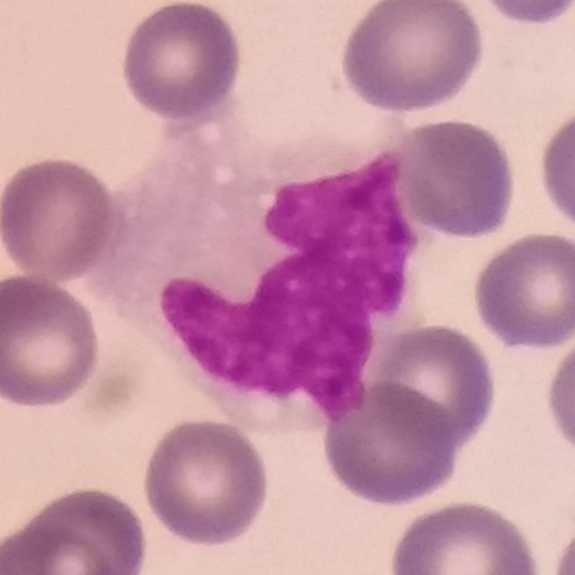

Context: Peripheral blood film.

Q: What cell is this?
A: It is a monocyte.